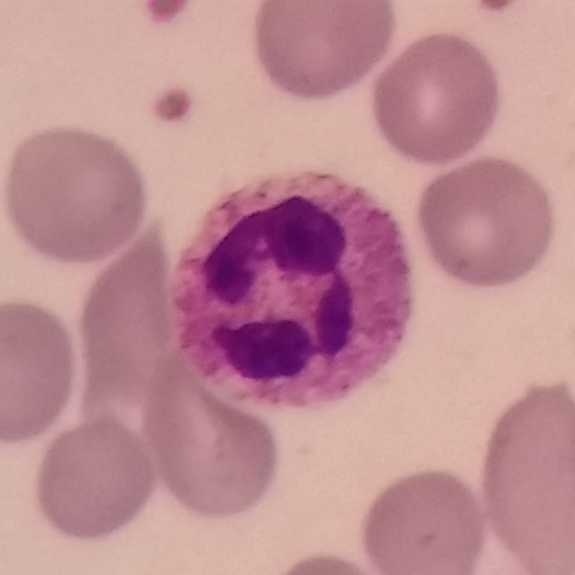Showing a neutrophil.
Peripheral blood smear.